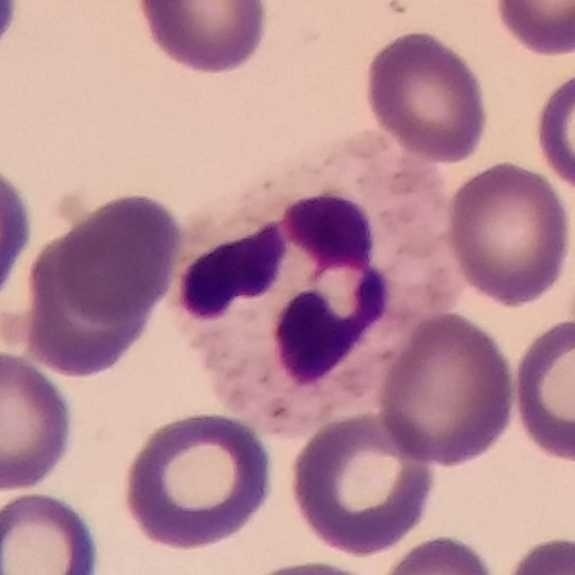 {"cell_type": "neutrophilic granulocyte", "lineage": "myeloid"}